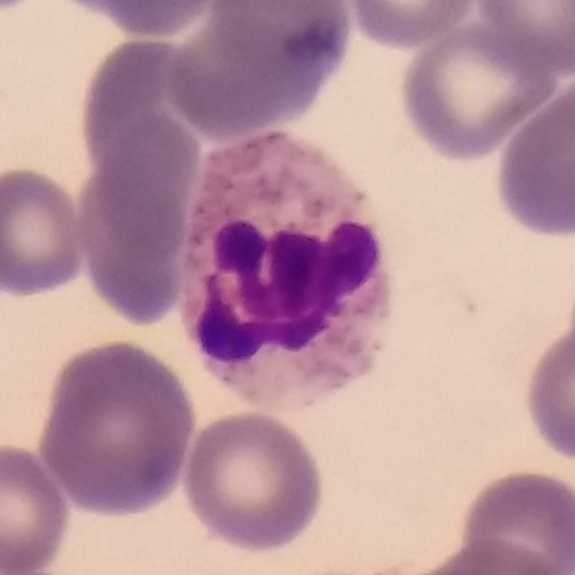

Image: Giemsa stain. Peripheral blood film.
The cell is neutrophil granulocyte.